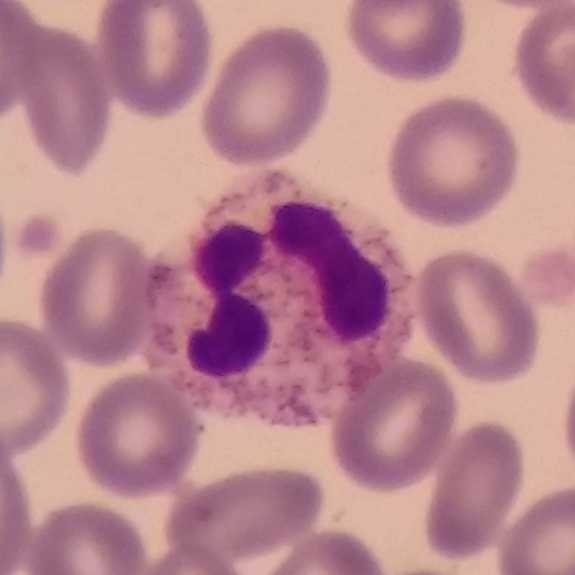Preparation: Peripheral blood smear. The white blood cell in this image is a neutrophil.